Peripheral blood film. Giemsa stain: 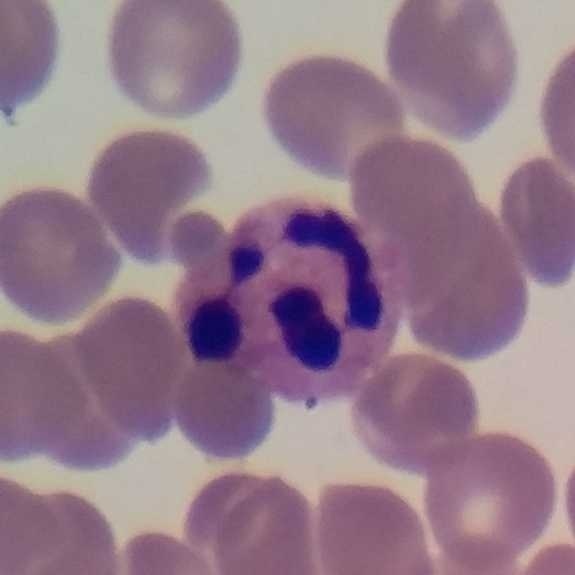

White blood cell type — neutrophil granulocyte.